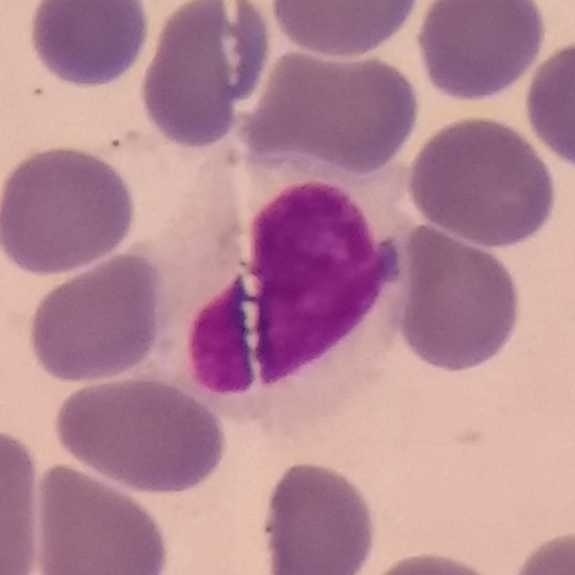White blood cell type = lymphocyte.
575×575; peripheral blood film.